Giemsa-stained; peripheral blood film — 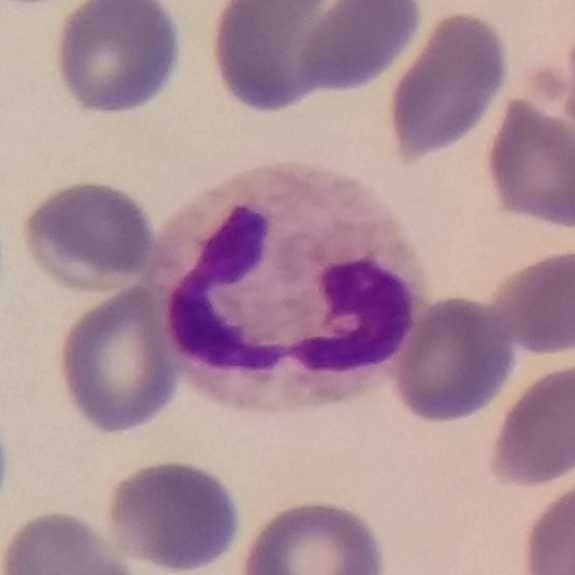Showing a neutrophilic granulocyte.